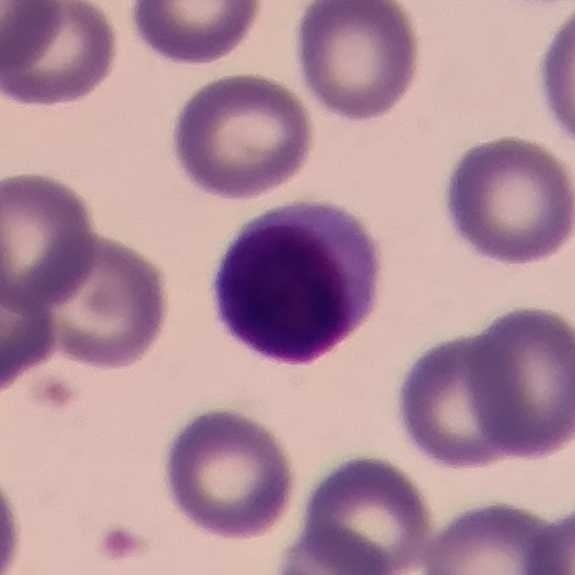
Specimen: peripheral blood film.
Cell: lymphocyte.
Lineage: lymphoid.